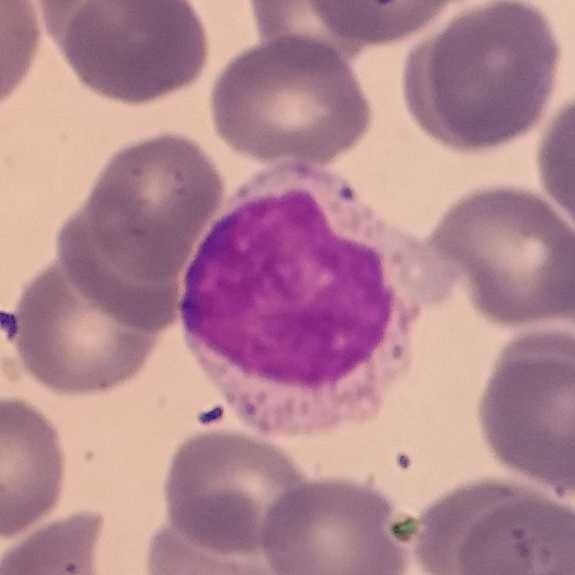 Classification: lymphocyte.